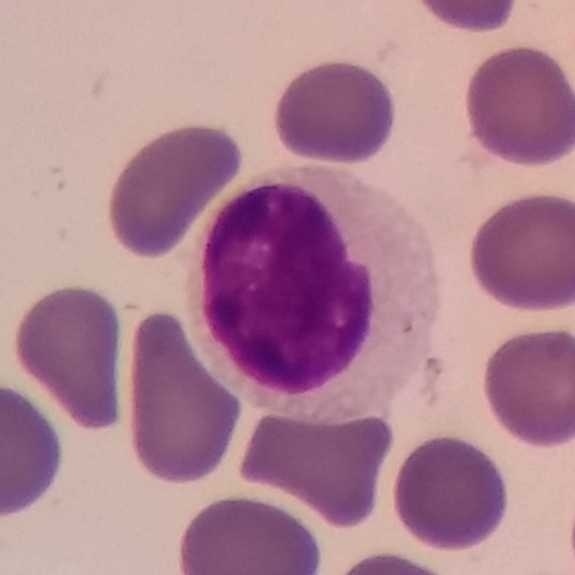 Morphology → lymphocyte.